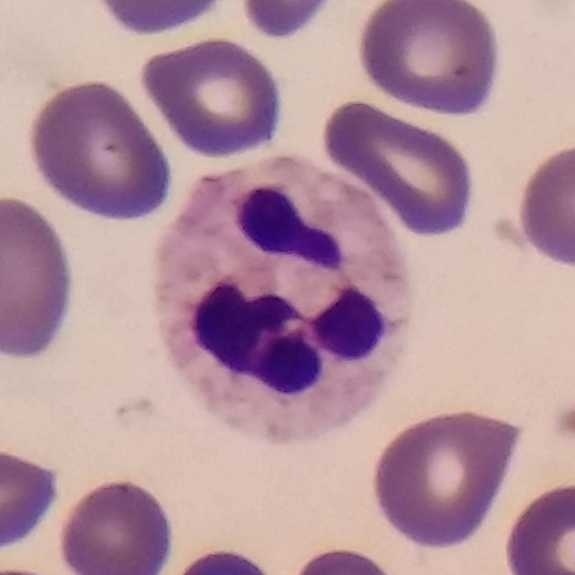 Morphology → neutrophil granulocyte.